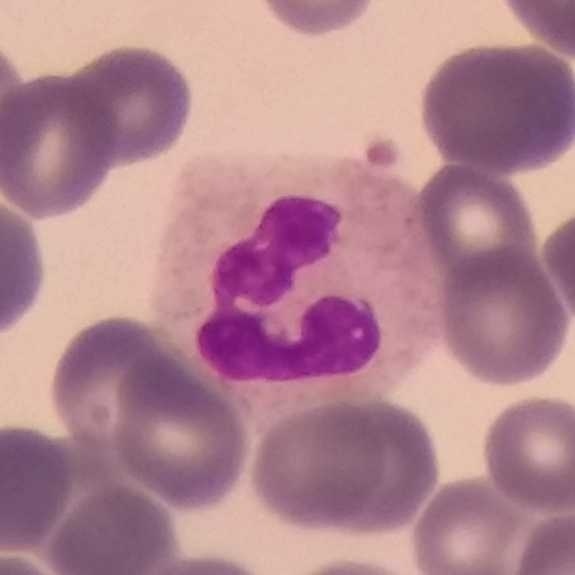

Q: Which cell type is shown here?
A: Neutrophilic granulocyte. Context: Peripheral blood film; smartphone photomicrograph.